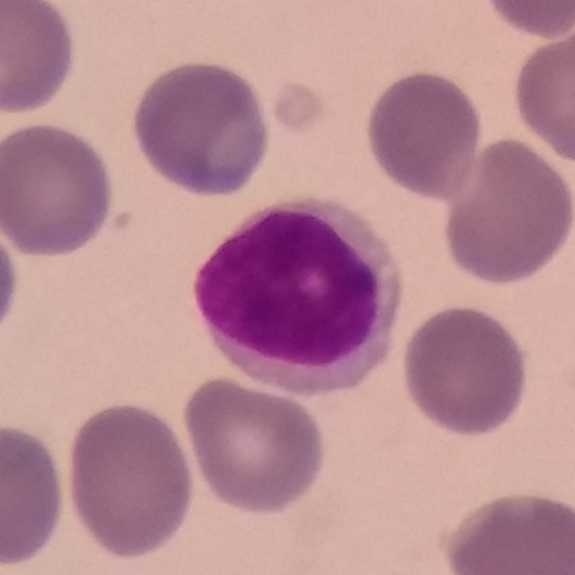

Single-cell crop from a peripheral blood smear: lymphocyte.